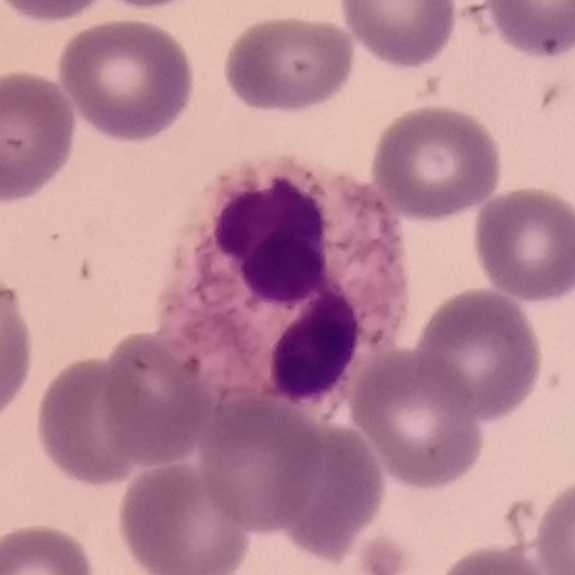

The white blood cell in this image is a neutrophil. Peripheral blood smear.